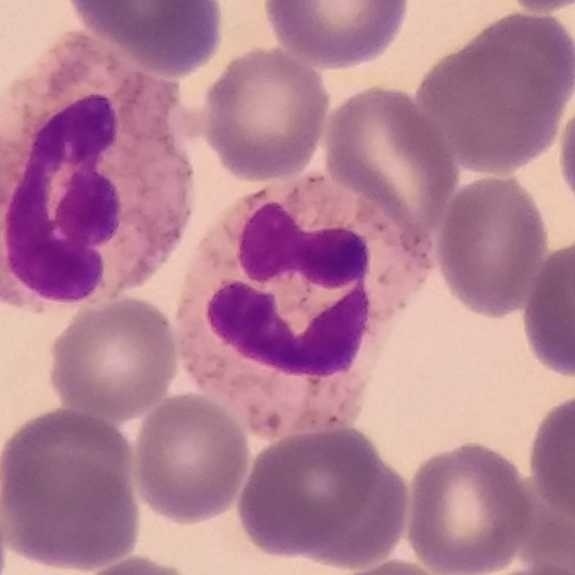

Peripheral blood film; photographed through a light microscope with a smartphone camera; stained with Giemsa. Q: What is this?
A: This is a neutrophil granulocyte.